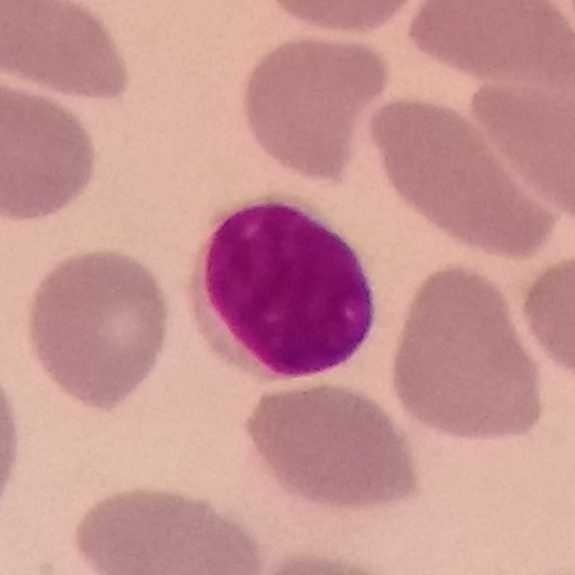
Impression — lymphocyte.